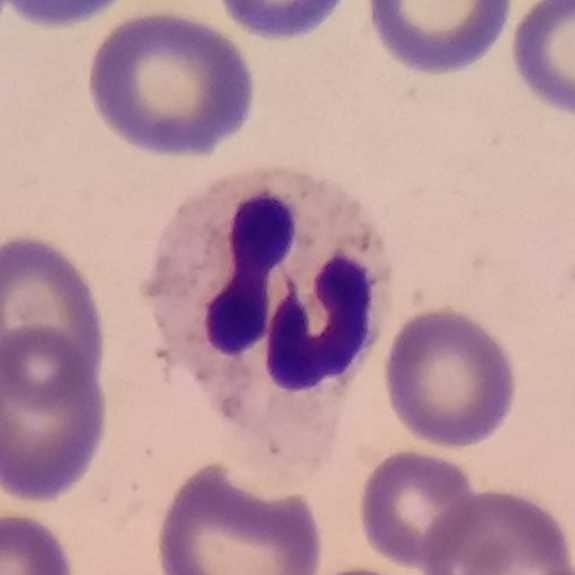 This is a neutrophil granulocyte.